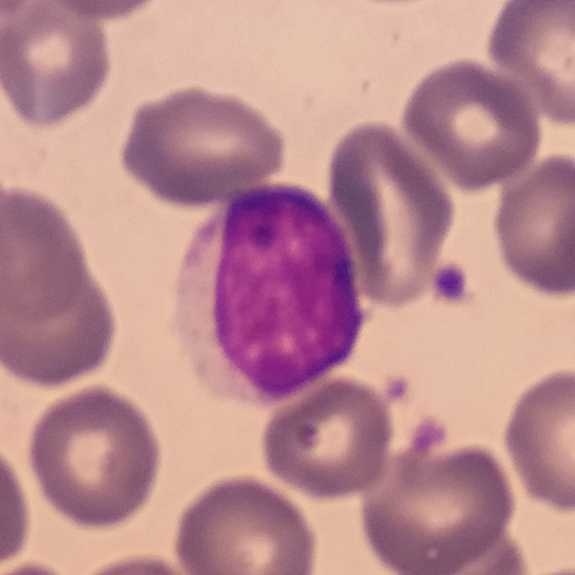 Single-cell crop from a peripheral blood smear: lymphocyte.